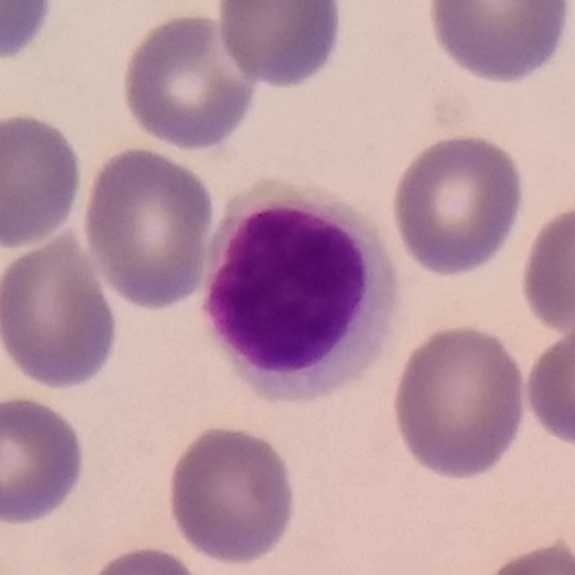

Cell type: lymphocyte.
Single-cell field; peripheral blood smear; 575×575.